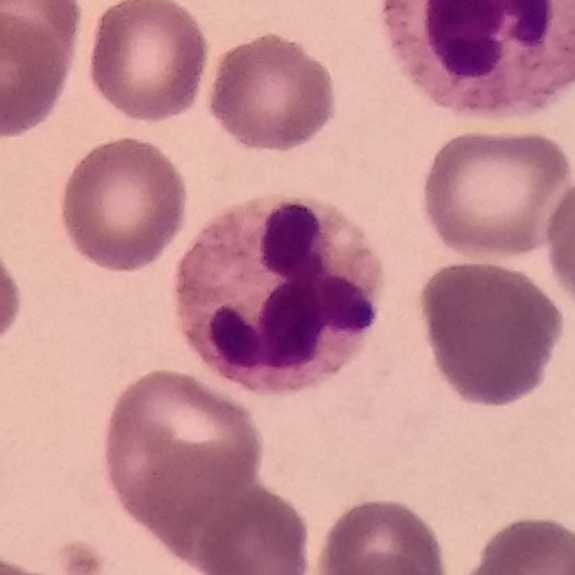Morphology → neutrophil granulocyte.